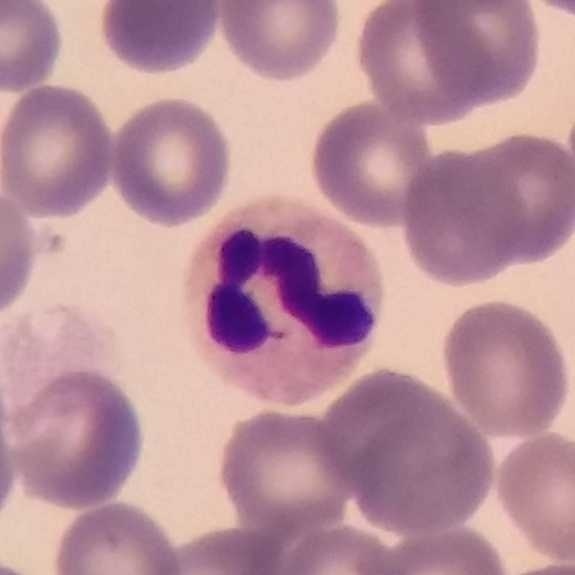 Neutrophilic granulocyte.